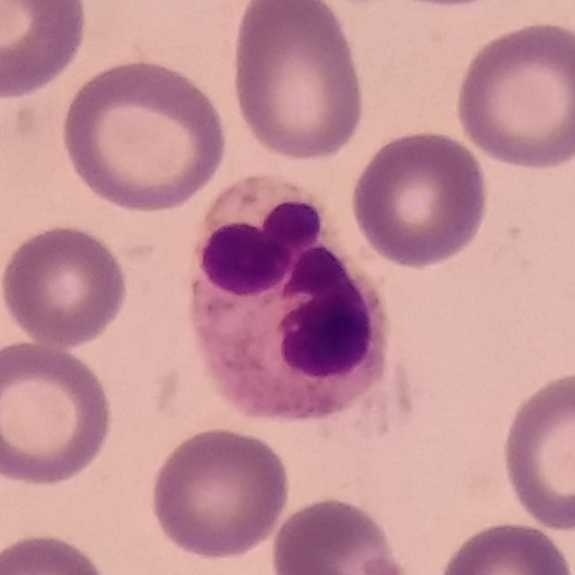Preparation: Peripheral blood smear. Cell type = neutrophilic granulocyte.